Smartphone camera mounted on the microscope eyepiece. Peripheral blood smear. 575×575 — 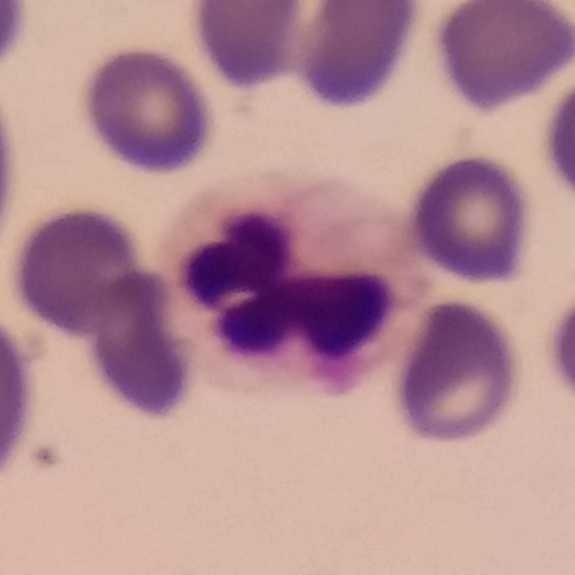 Impression — neutrophilic granulocyte.